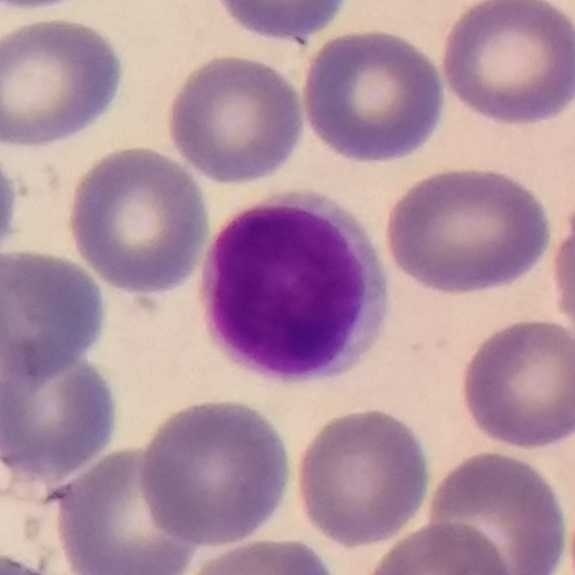

Single cell identified as a lymphocyte.